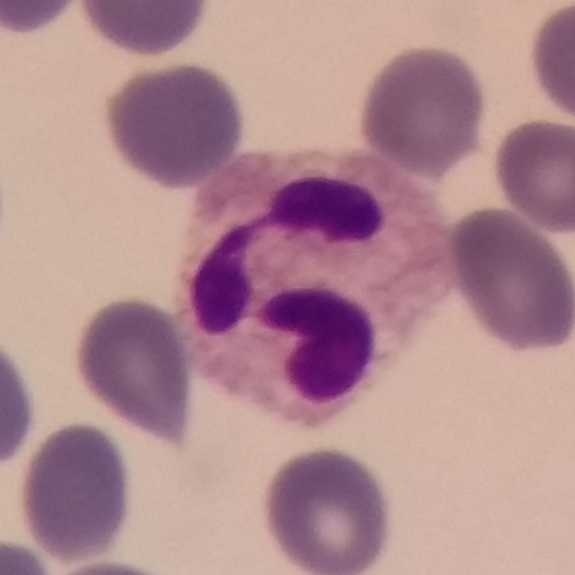Q: What cell is this?
A: Neutrophil granulocyte. Peripheral blood film.